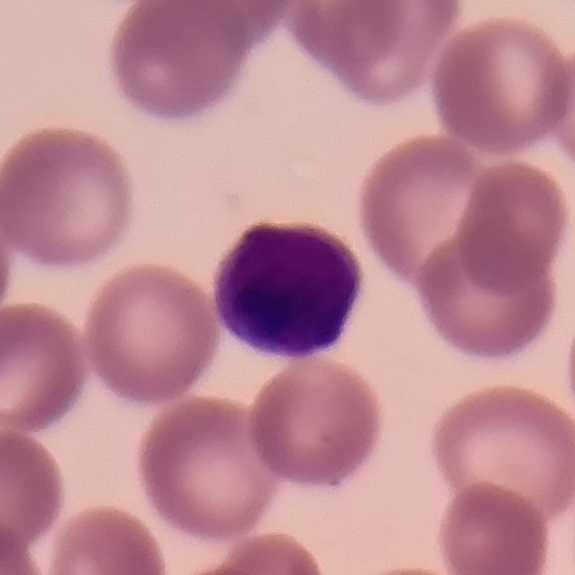 Preparation: Peripheral blood smear.

Cell: lymphocyte.